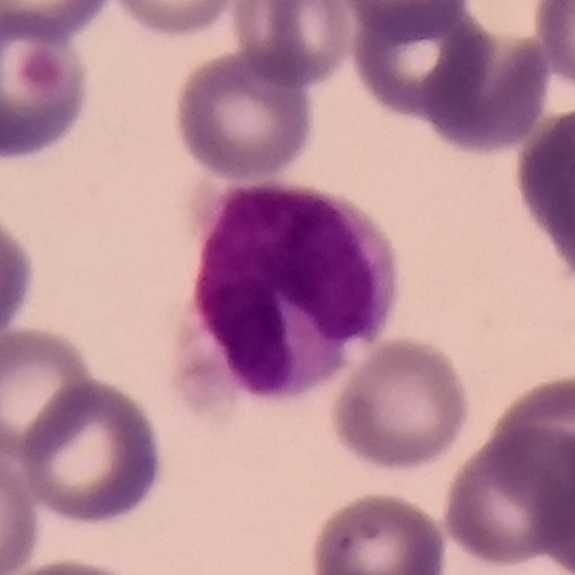

Q: What type of cell is this?
A: A monocyte.